Peripheral blood film; magnification 100× — 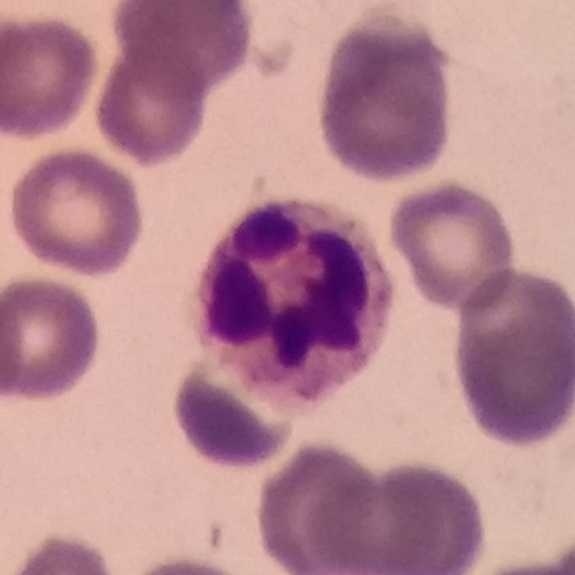 A neutrophilic granulocyte.